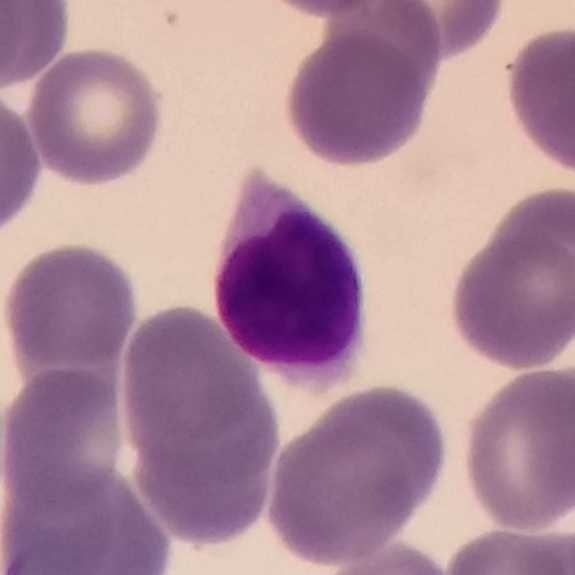
Morphological class — lymphocyte.

Acquisition: Peripheral blood film.